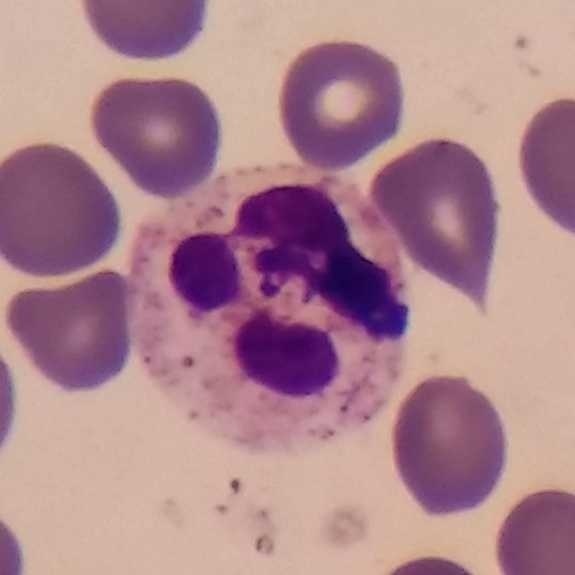

Neutrophil granulocyte. Preparation: Peripheral blood smear.